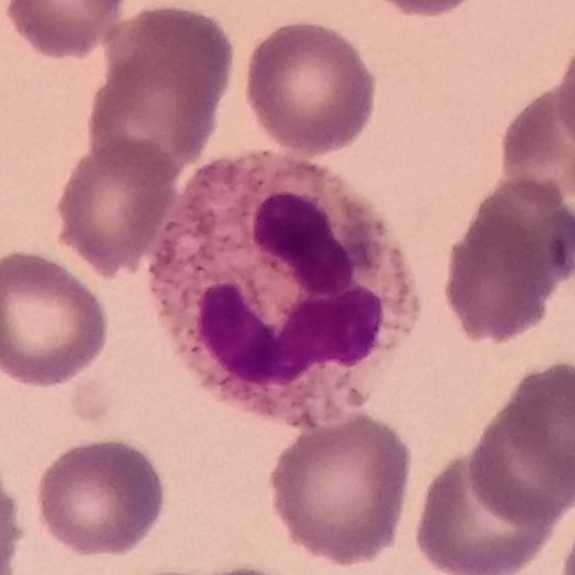 Specimen: peripheral blood film.
Cell: neutrophil.
Lineage: myeloid.